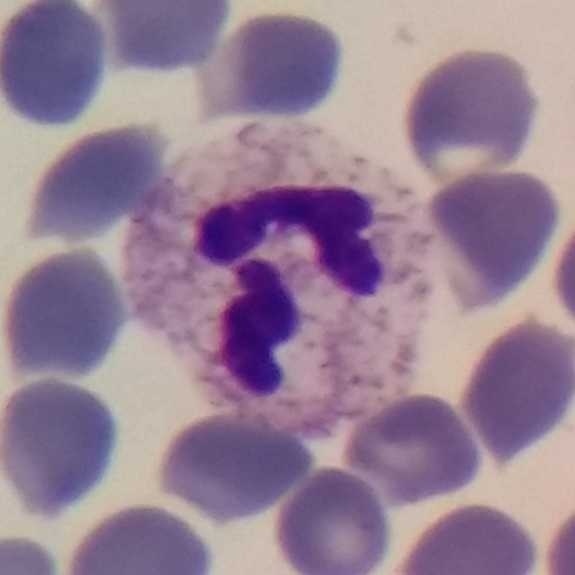{"cell_type": "neutrophil", "lineage": "myeloid"}

Context: Peripheral blood film.